575 by 575 pixels · peripheral blood smear
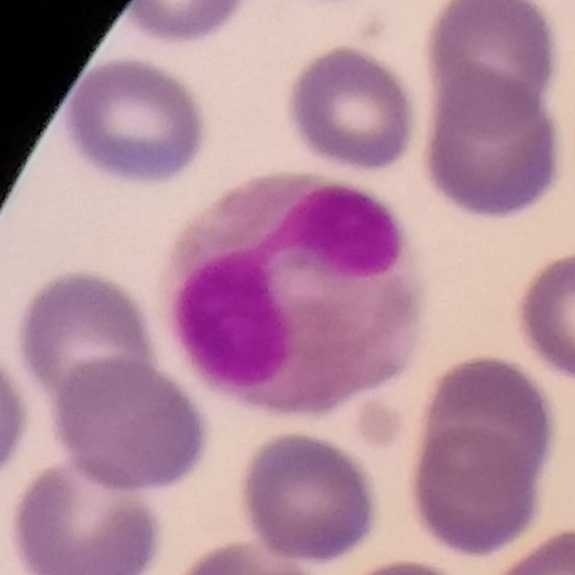

Morphology → eosinophil.